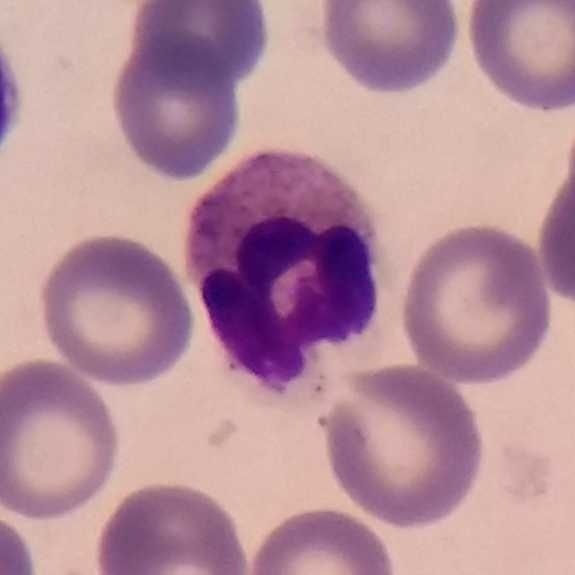Specimen: peripheral blood film.
Cell type: neutrophil granulocyte. 100× magnification.